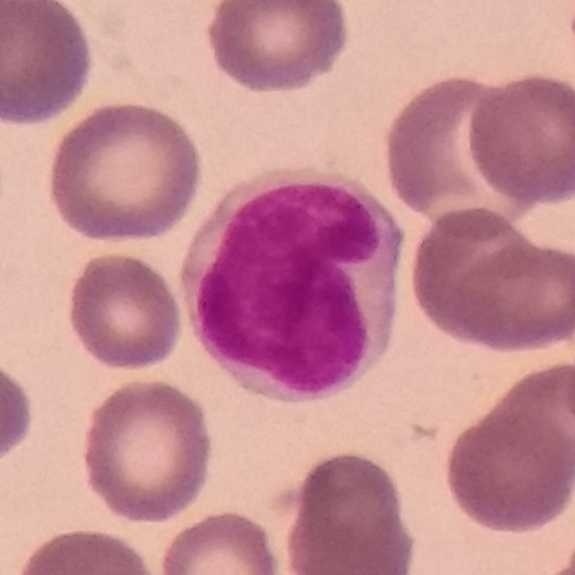

The classification is monocyte.